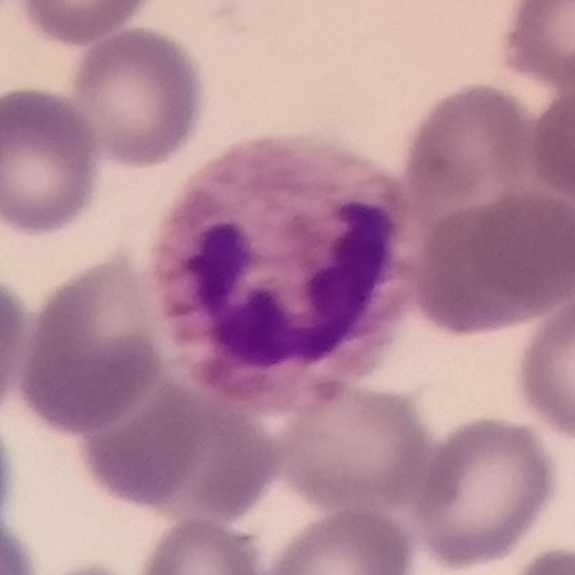

Impression → neutrophil granulocyte.